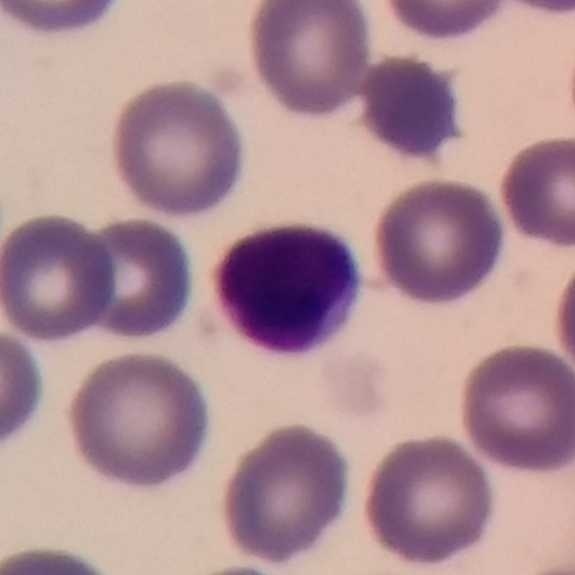 The white blood cell type is lymphocyte.